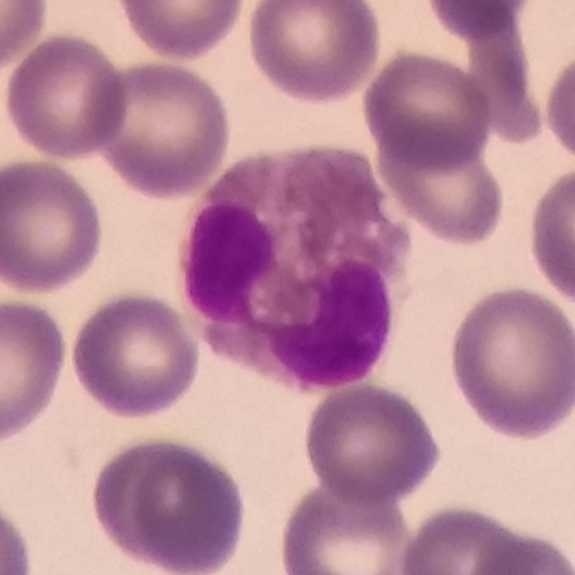
Single cell identified as an eosinophil.